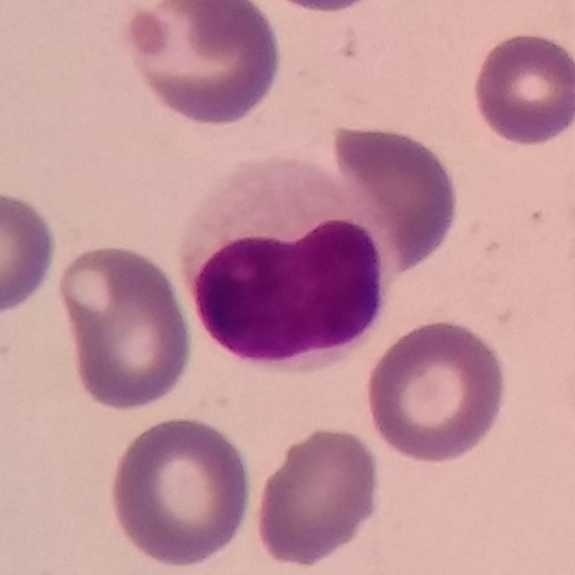 575×575.
Specimen: peripheral blood film.
Classification: lymphocyte.
Lineage: lymphoid.